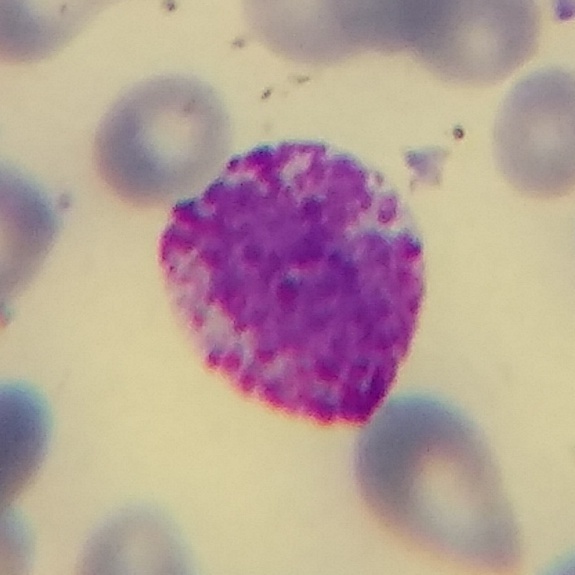

Context: Peripheral blood smear · cropped to one leukocyte · smartphone camera mounted on the microscope eyepiece.
Morphological class = basophilic granulocyte.